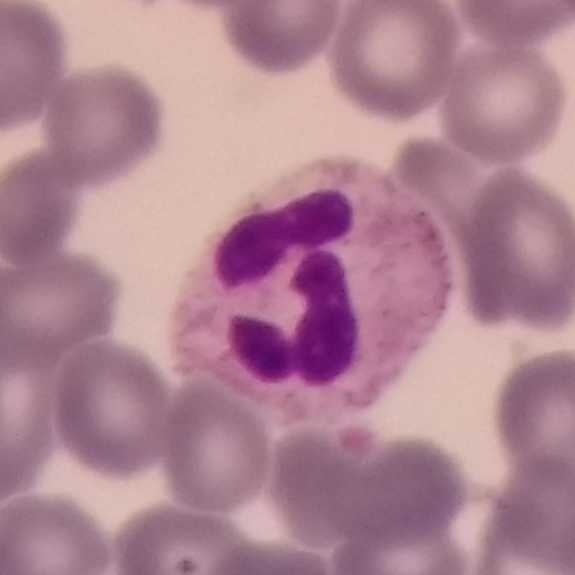

{"cell_type": "neutrophil", "lineage": "myeloid"}